Peripheral blood film · photographed through a light microscope with a smartphone camera · single white blood cell cropped from the smear photograph.
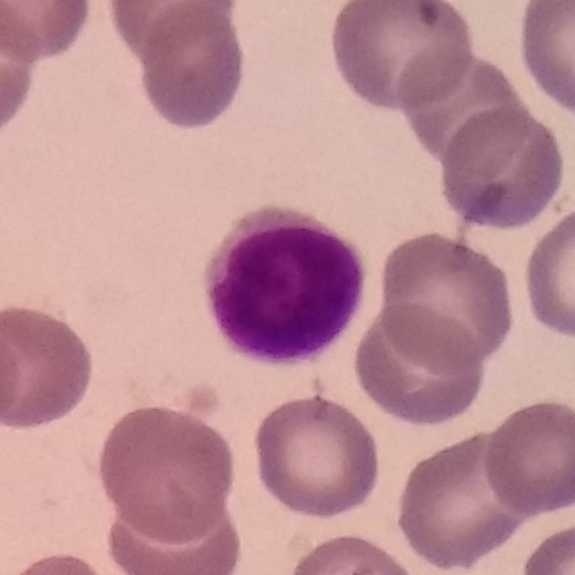
Impression — lymphocyte.